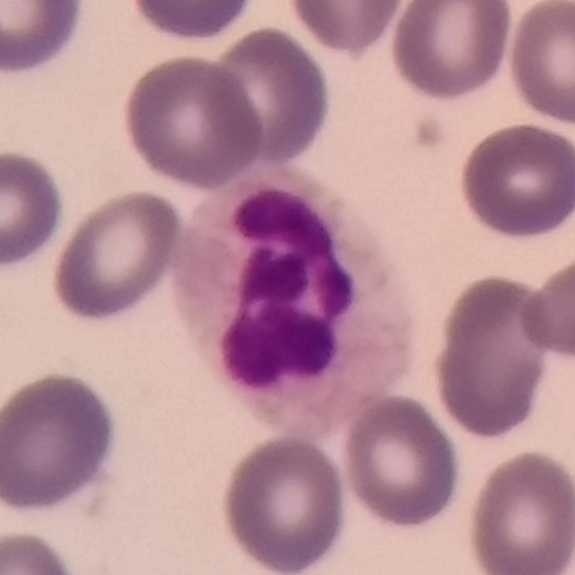 Specimen: peripheral blood smear.
Cell type: neutrophil granulocyte.
Lineage: myeloid.